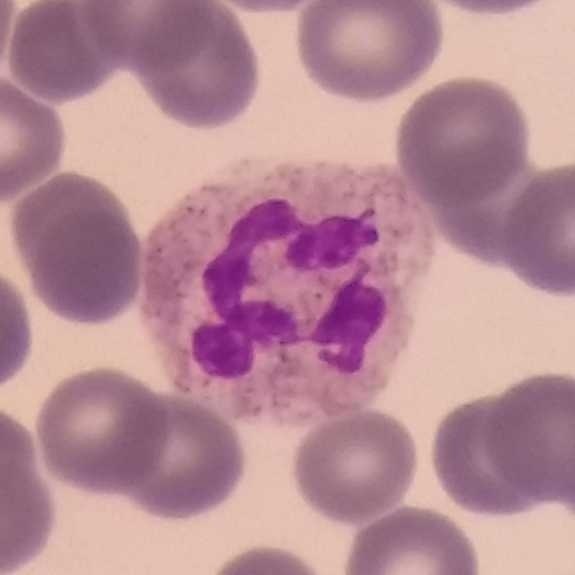
Neutrophilic granulocyte.

Peripheral blood smear; cropped to one leukocyte.